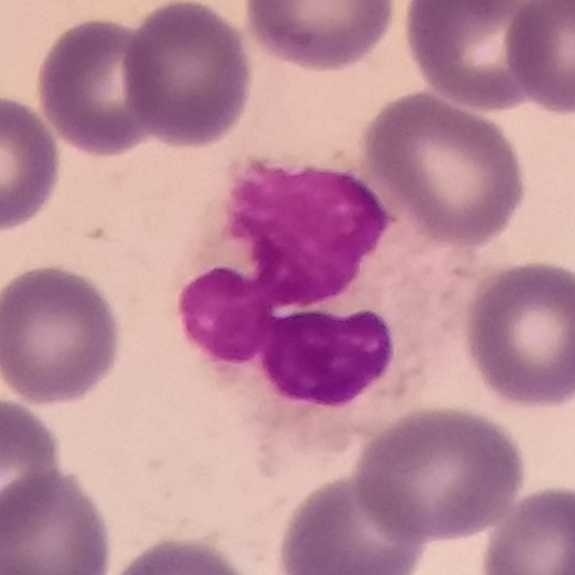
Specimen: peripheral blood film.
Morphological class: neutrophilic granulocyte.
Lineage: myeloid.